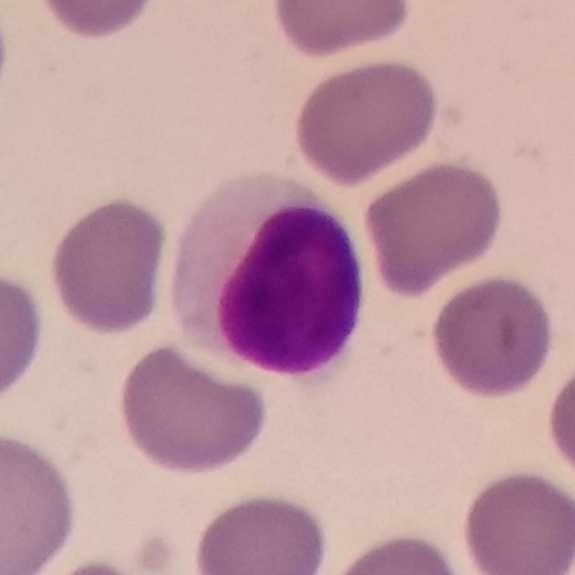 Showing a lymphocyte.